Peripheral blood smear
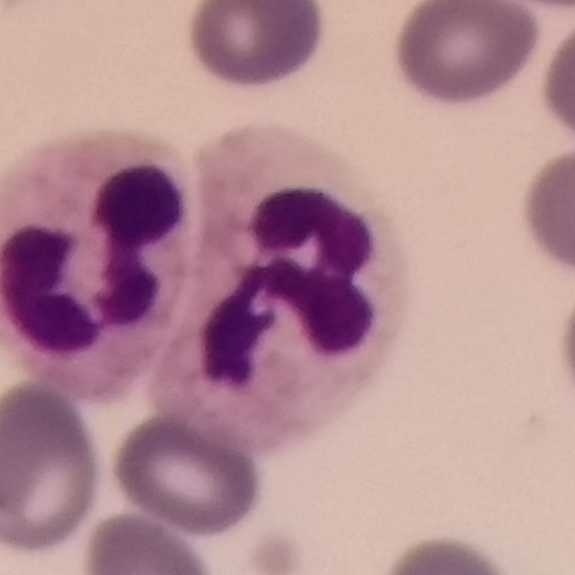 Morphological class — neutrophil granulocyte.